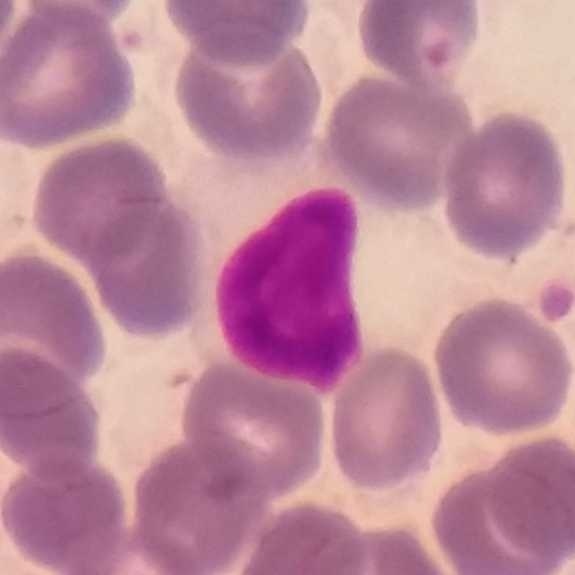 Single-cell crop from a peripheral blood smear: lymphocyte.